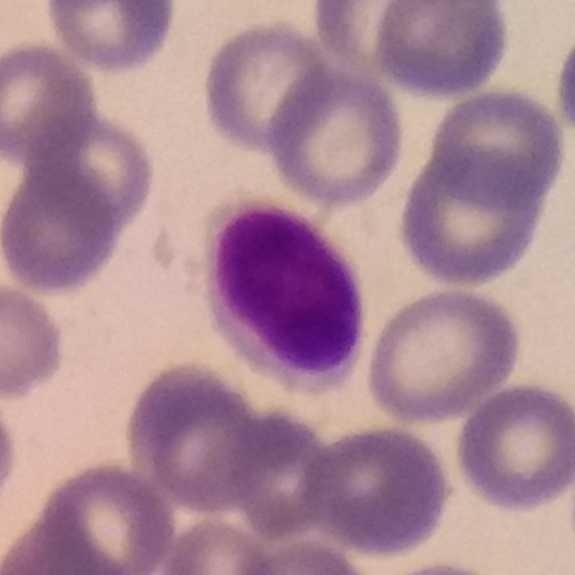
Peripheral blood smear; single white blood cell cropped from the smear photograph.
The cell is lymphocyte.